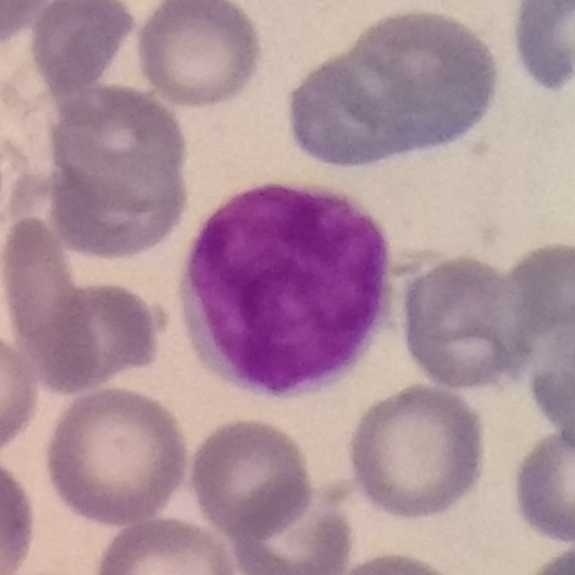 Cell type: lymphocyte.